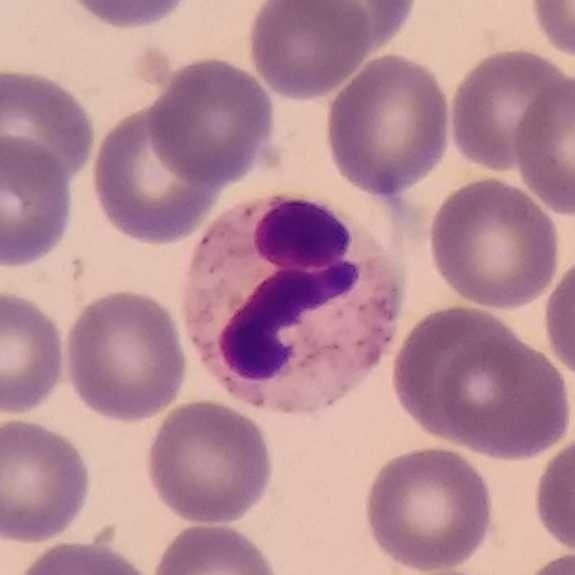 Acquisition: Peripheral blood film. The morphological class is neutrophilic granulocyte.